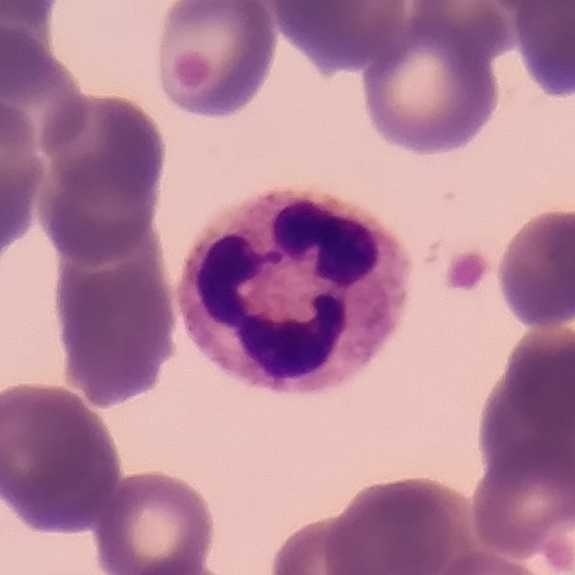

Peripheral blood smear.

Identified as a neutrophilic granulocyte.